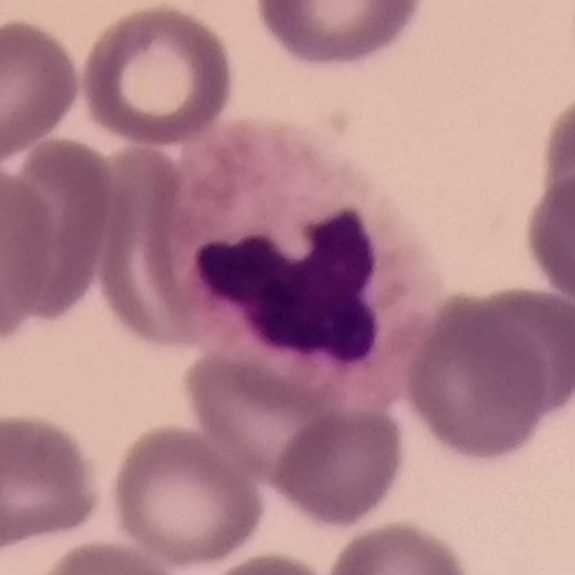 Acquisition: Imaged at 100×. Peripheral blood smear. 575×575 px.

Single cell identified as a neutrophil.